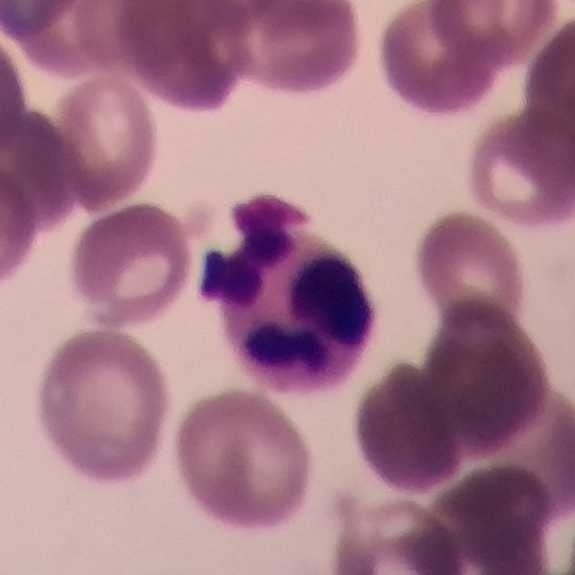
Q: What cell is this?
A: This is a neutrophil. Context: Peripheral blood smear.